Peripheral blood film. 575 by 575 pixels
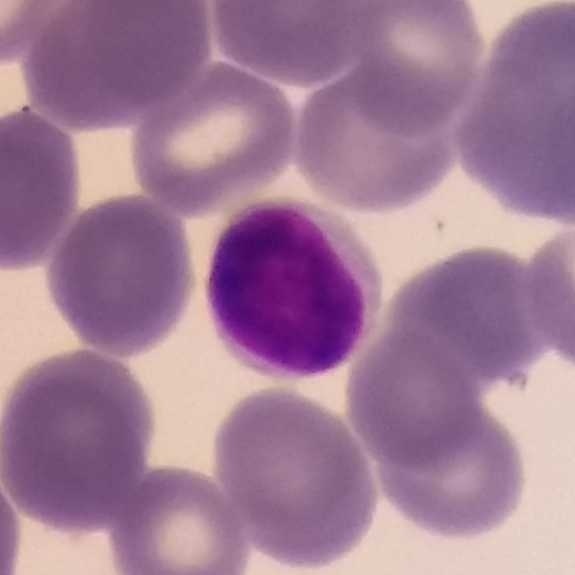

The white blood cell in this image is a lymphocyte.